Peripheral blood film: 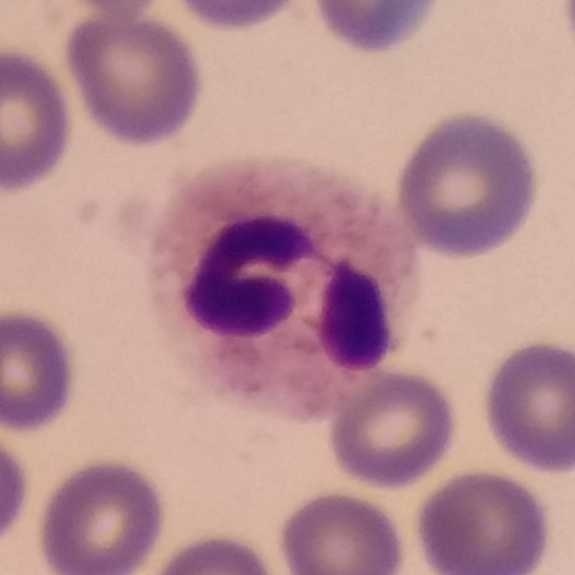

Specimen: peripheral blood smear.
Morphological class: neutrophilic granulocyte.
Lineage: myeloid.